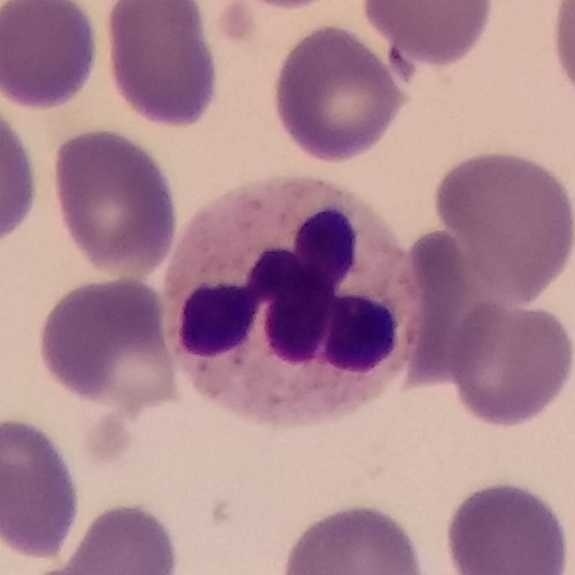

The classification is neutrophil.